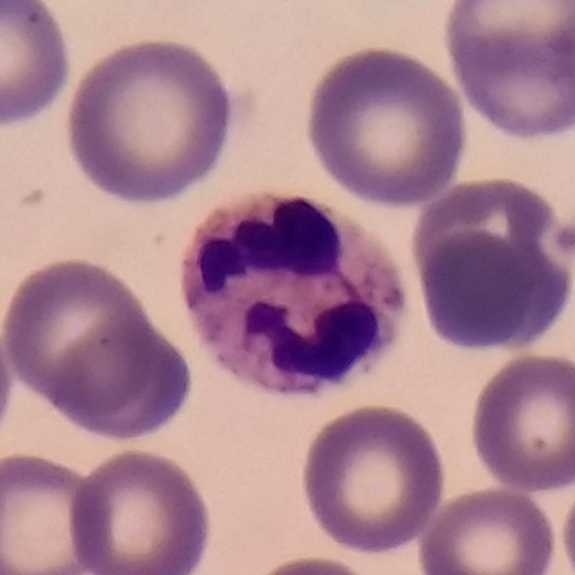
Context: Peripheral blood film; imaged at 100×; 575×575.
Morphology → neutrophil.